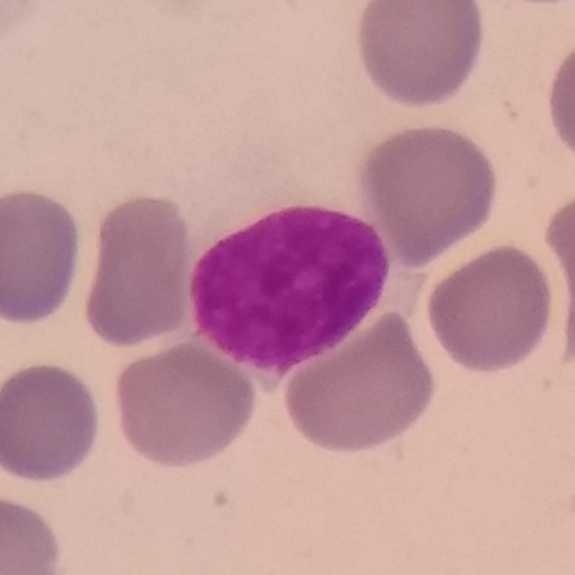

Q: What cell is this?
A: A lymphocyte.
Peripheral blood film.